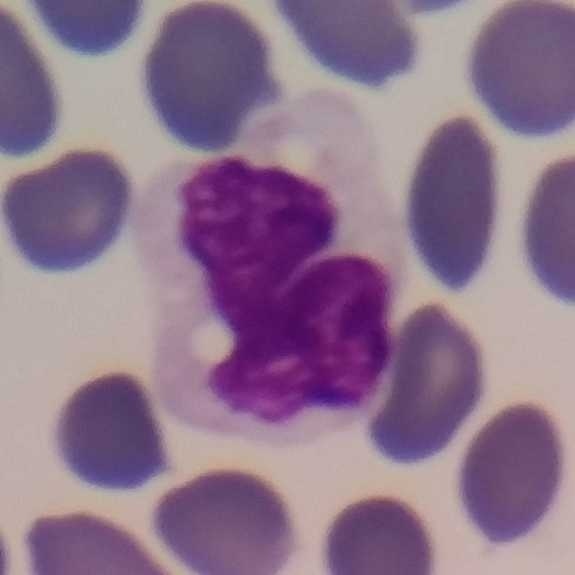 A monocyte on a peripheral blood smear.